Peripheral blood film. Smartphone photomicrograph
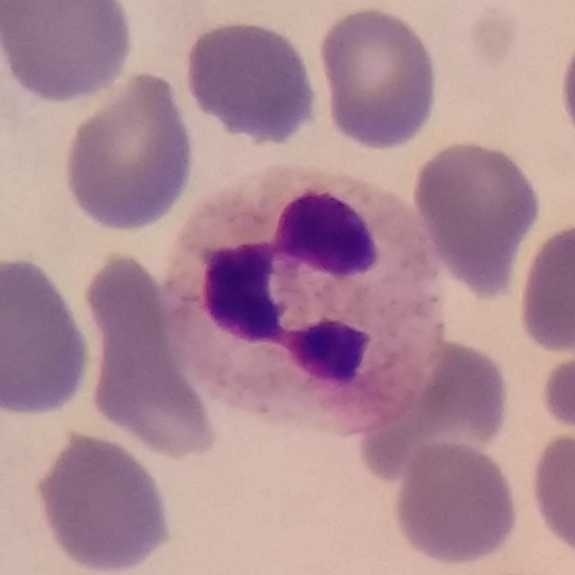
Cell type: neutrophilic granulocyte.